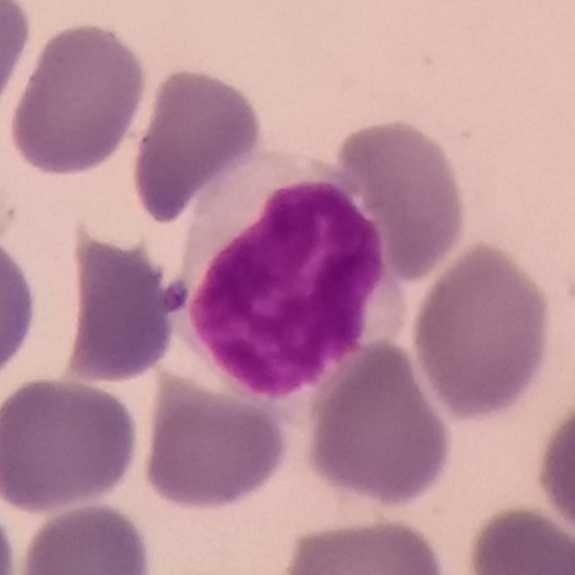
Specimen: peripheral blood smear.
Morphological class: lymphocyte.
Lineage: lymphoid.